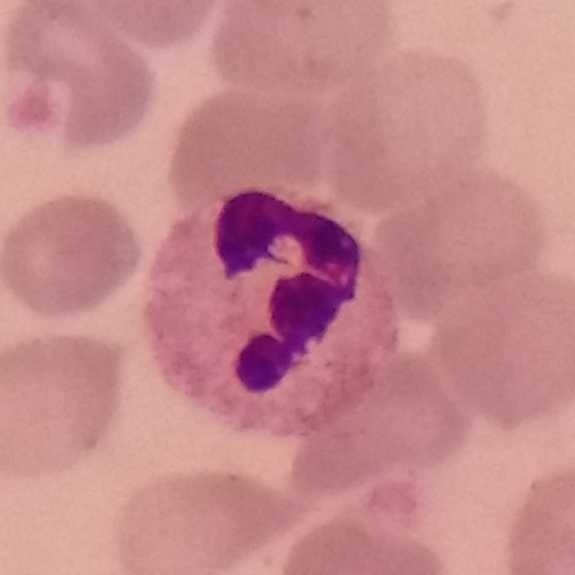White blood cell type = neutrophil granulocyte.